Peripheral blood film
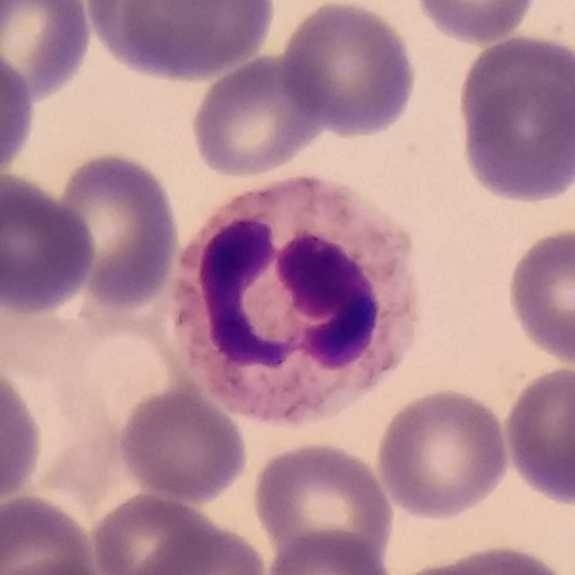

Cell type — neutrophil granulocyte.